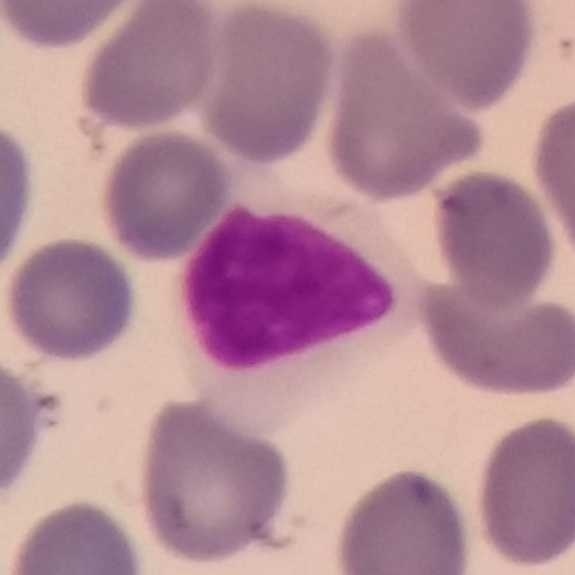White blood cell type = lymphocyte.
Acquisition: Peripheral blood film.